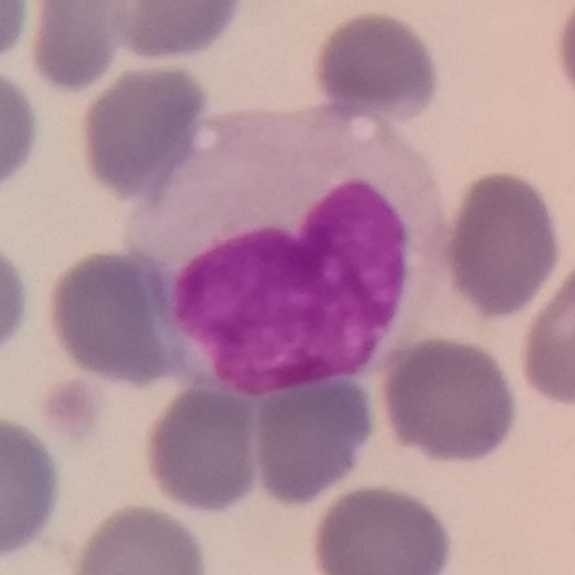
Context: Stained with Giemsa; peripheral blood smear.
{"cell_type": "monocyte", "lineage": "myeloid"}